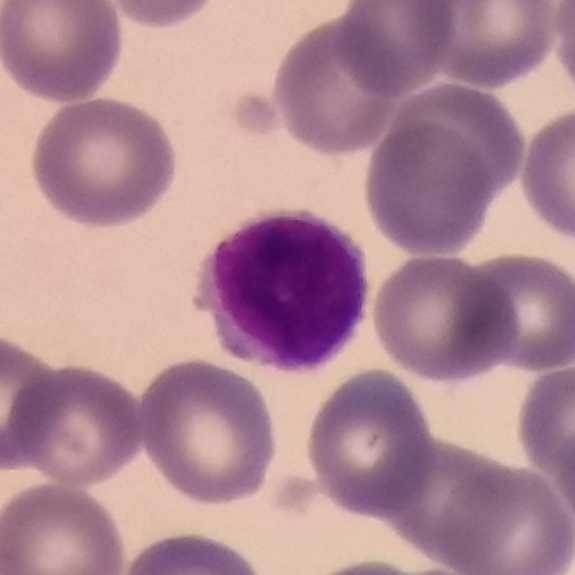

The cell shown is a lymphocyte. Acquisition: Peripheral blood film.